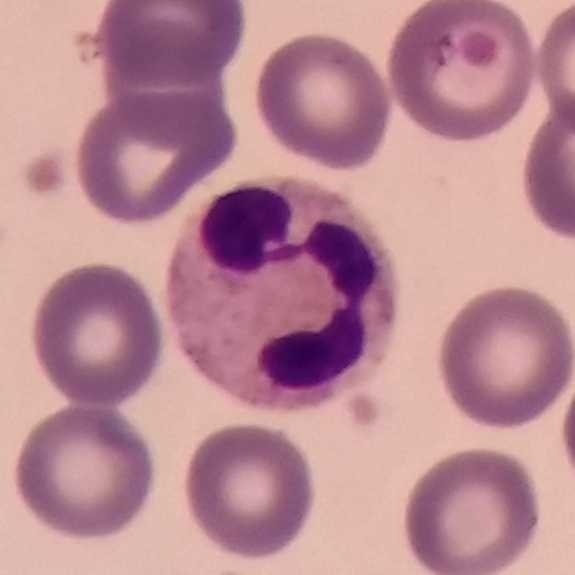
The white blood cell type is neutrophil granulocyte.